Peripheral blood film:
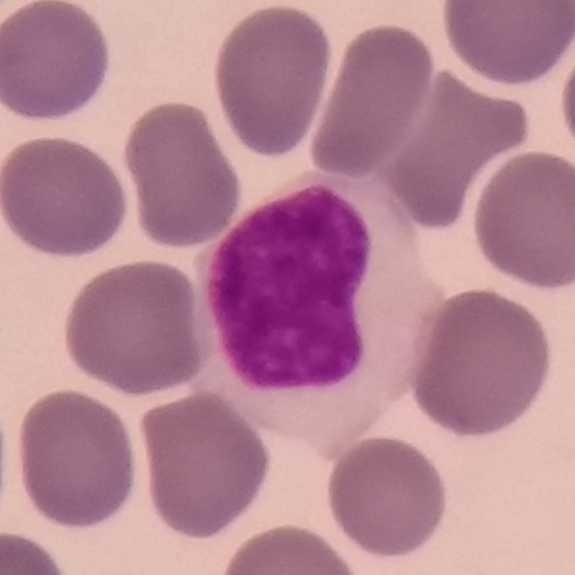
Classification — lymphocyte.